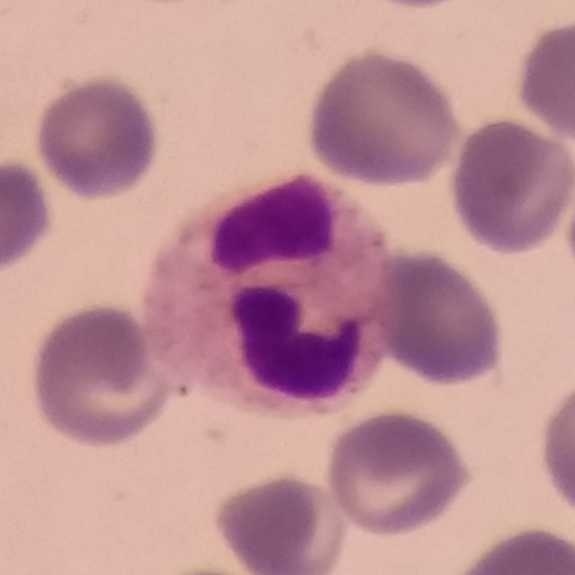
Specimen: peripheral blood smear.
Classification: neutrophilic granulocyte.
Lineage: myeloid.